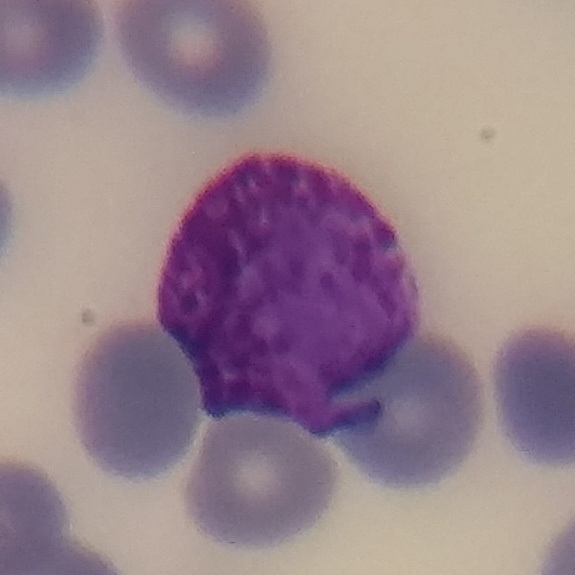

Preparation: Peripheral blood film.

A basophilic granulocyte.